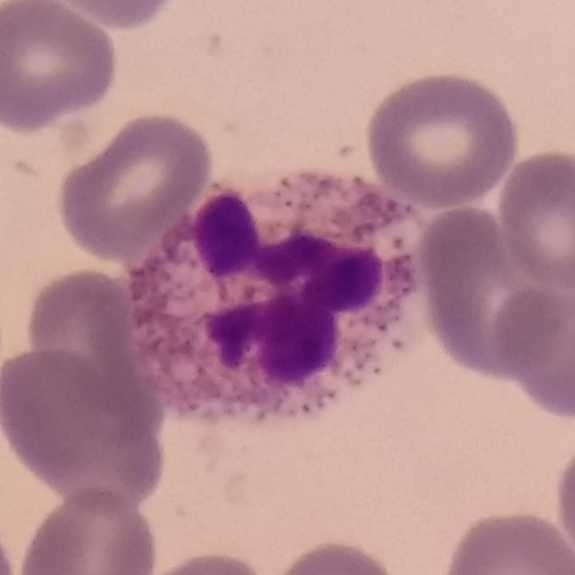Q: What is the morphological classification of this cell?
A: It is a neutrophil. Context: Imaged at 100×; peripheral blood smear.